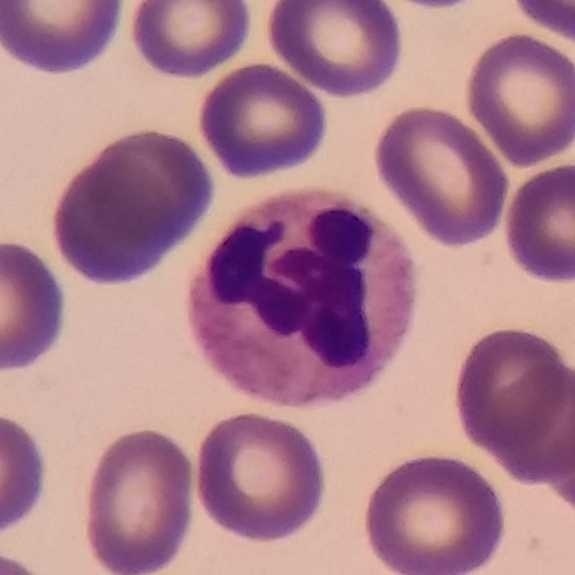
The morphological class is neutrophil granulocyte.